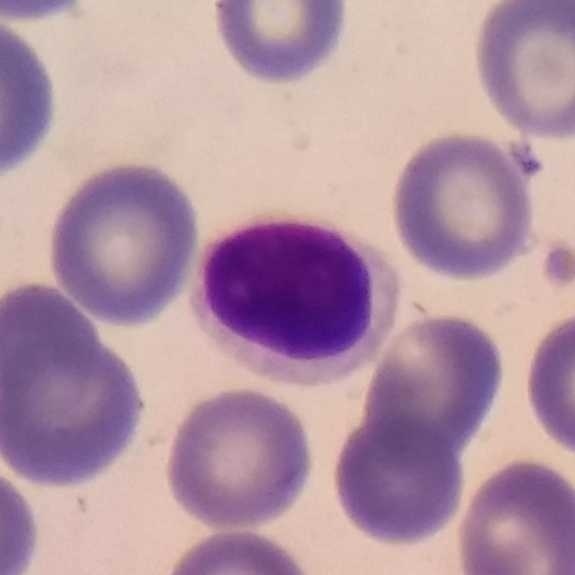

Morphological class — lymphocyte.